Magnification 100×. Peripheral blood film. Giemsa stain
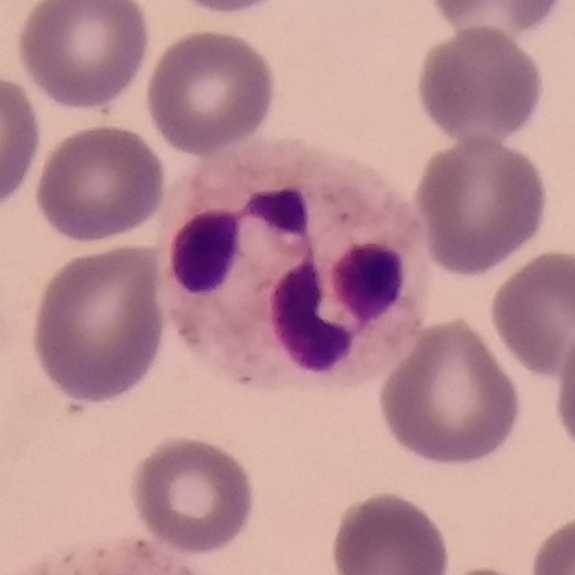
Showing a neutrophil.